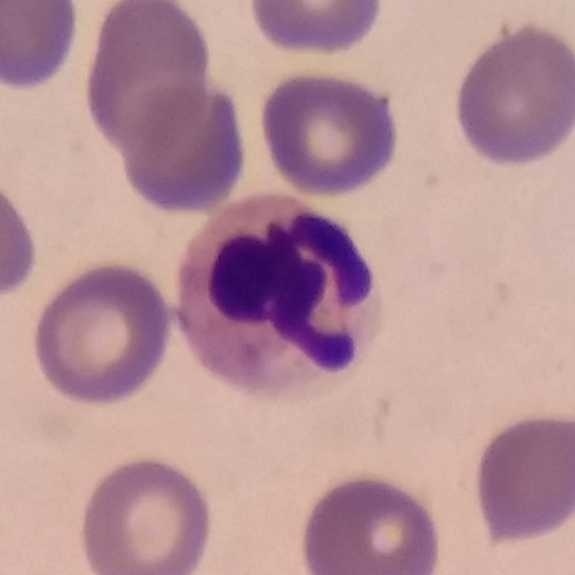 Morphological class: neutrophilic granulocyte.